Peripheral blood film · imaged at 100×: 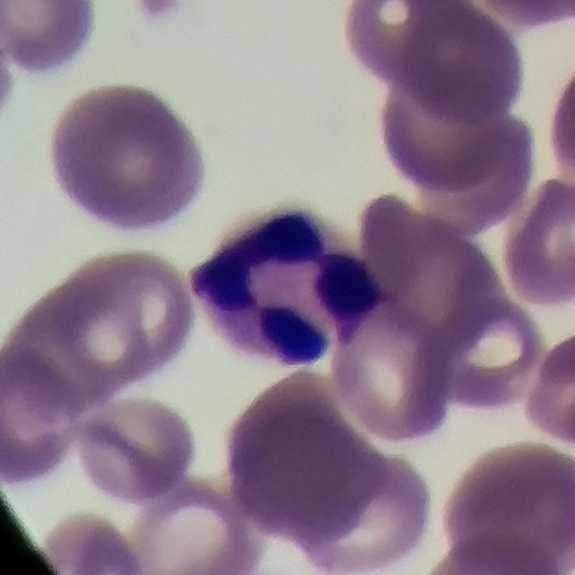
Q: Classify this leukocyte.
A: A neutrophil.